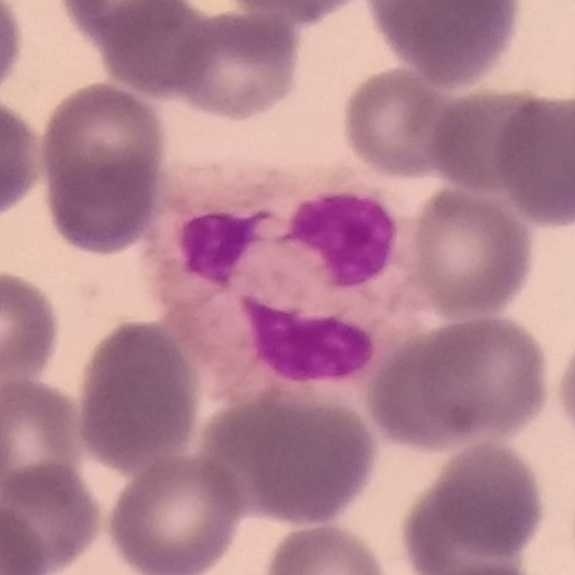 Photographed through a light microscope with a smartphone camera · peripheral blood smear.
Showing a neutrophil.